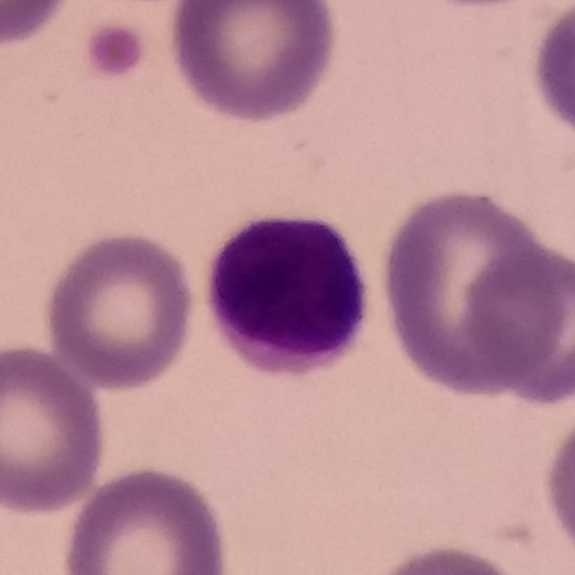

Cell — lymphocyte.
Context: Peripheral blood smear · 575 by 575 pixels · stained with Giemsa.